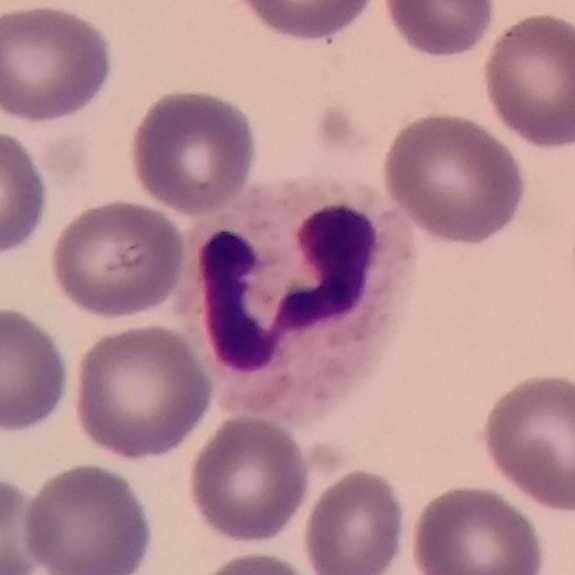

Acquisition: Peripheral blood smear.

This is a neutrophil granulocyte.